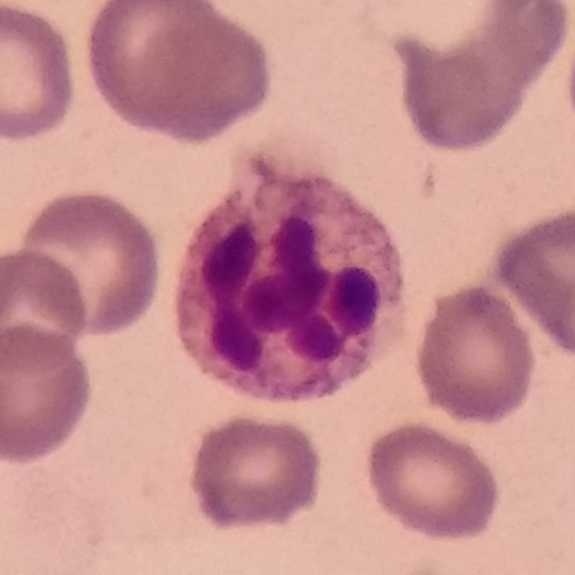

Single cell identified as a neutrophilic granulocyte.
Acquisition: Peripheral blood film.